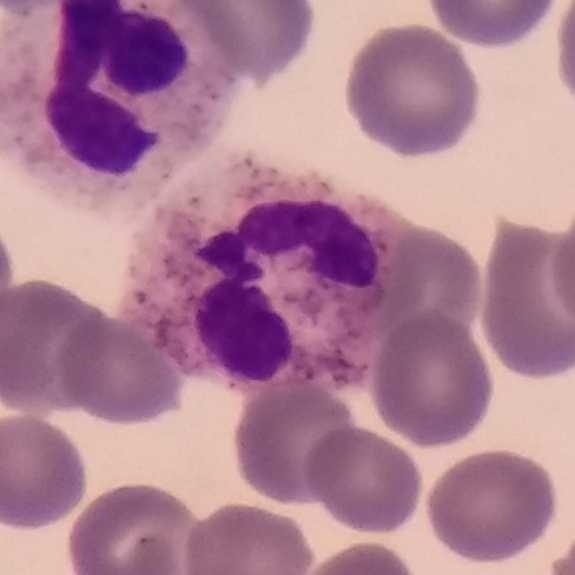
Image: Giemsa stain · smartphone camera mounted on the microscope eyepiece · peripheral blood smear.

A neutrophil granulocyte.